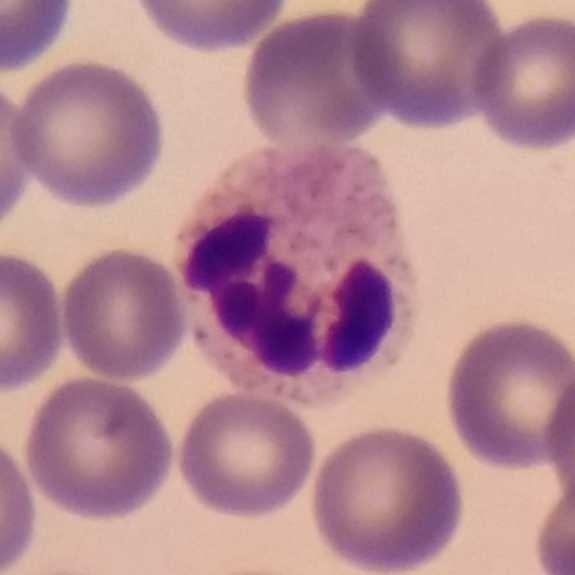 Morphology → neutrophil.